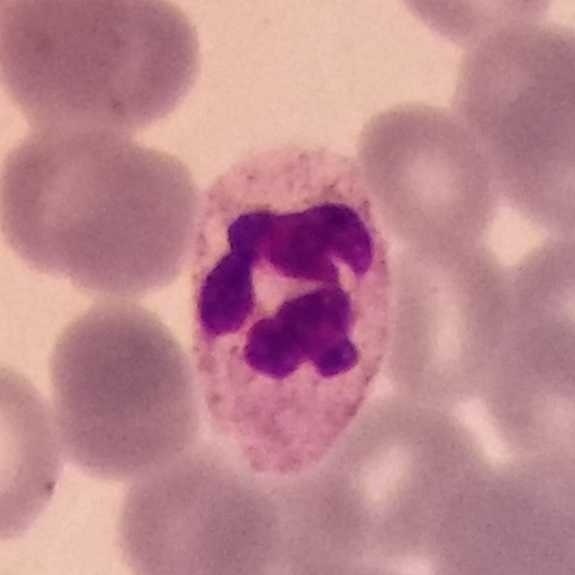

Showing a neutrophil granulocyte.